Peripheral blood film. Giemsa-stained
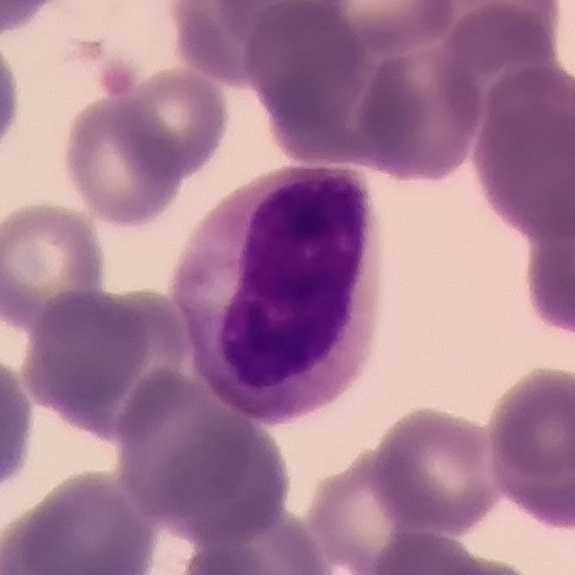

A lymphocyte.